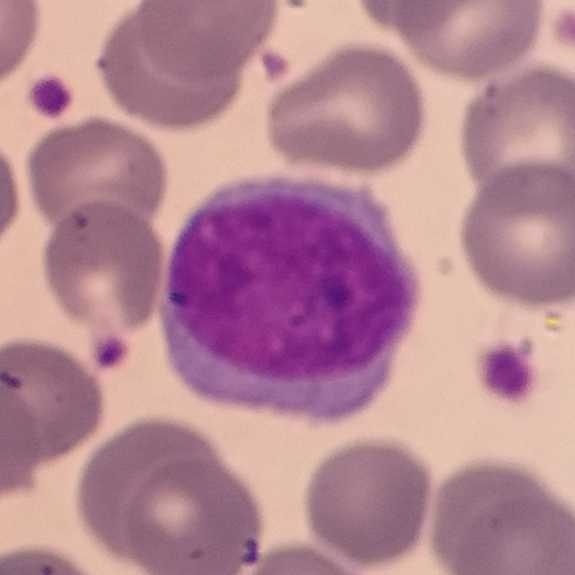 Preparation: Magnification 100×. Peripheral blood smear. Lymphocyte.